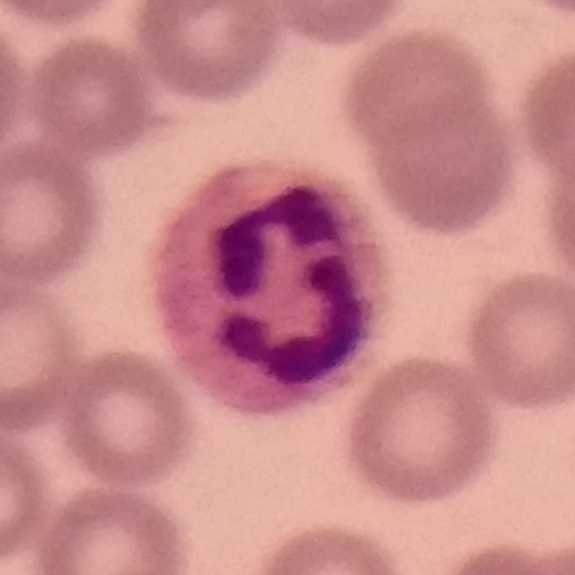

Q: Which type of white blood cell is this?
A: This is a neutrophilic granulocyte.